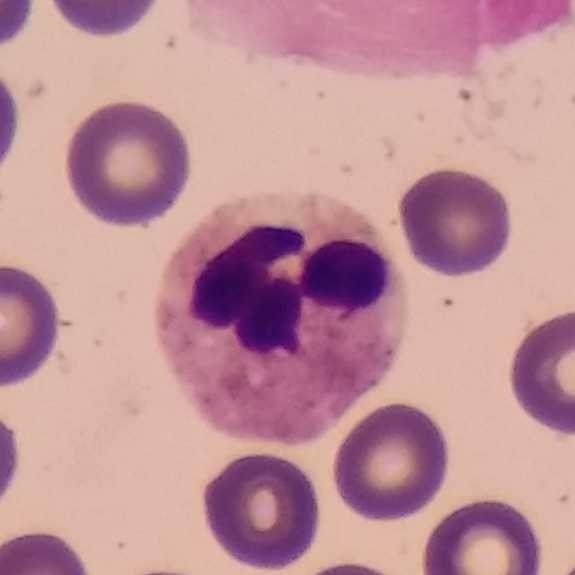
Specimen: peripheral blood smear.
White blood cell type: neutrophilic granulocyte.
Lineage: myeloid.
Acquisition: Magnification 100×.